Peripheral blood film: 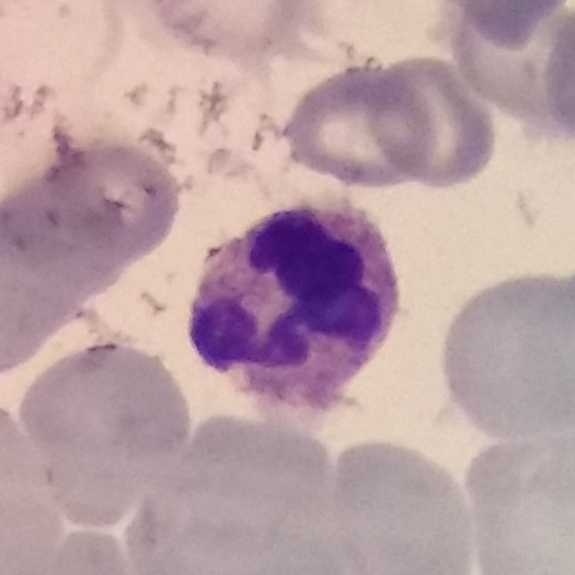
Cell type — neutrophilic granulocyte.